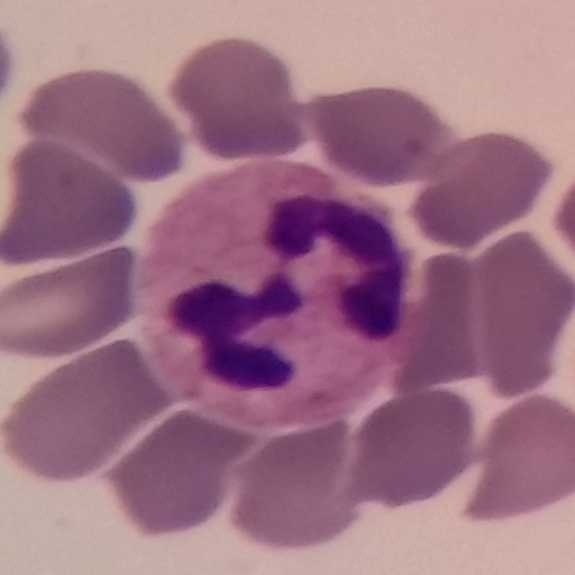
Q: Identify the cell.
A: It is a neutrophil granulocyte.